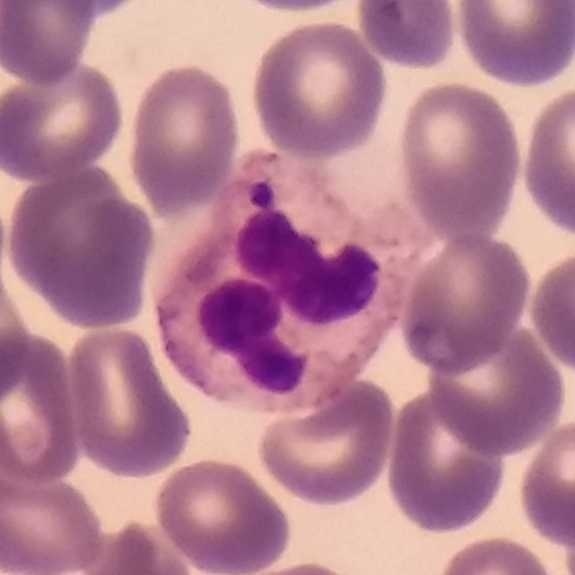 Q: Which type of white blood cell is this?
A: A neutrophilic granulocyte. Context: 575 by 575 pixels; peripheral blood film.